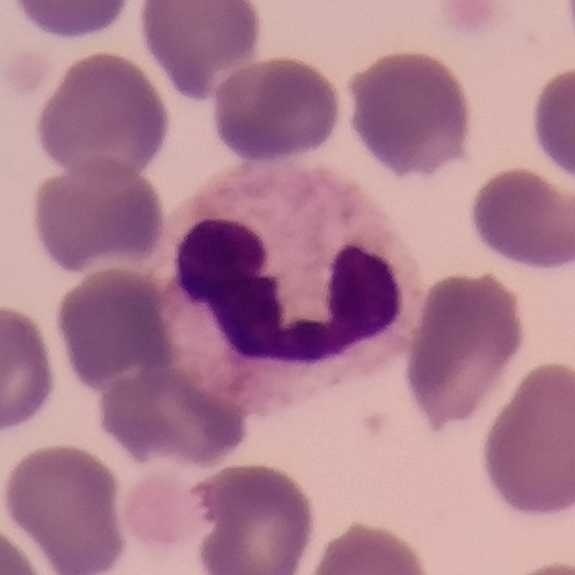 A neutrophil granulocyte on a peripheral blood smear.